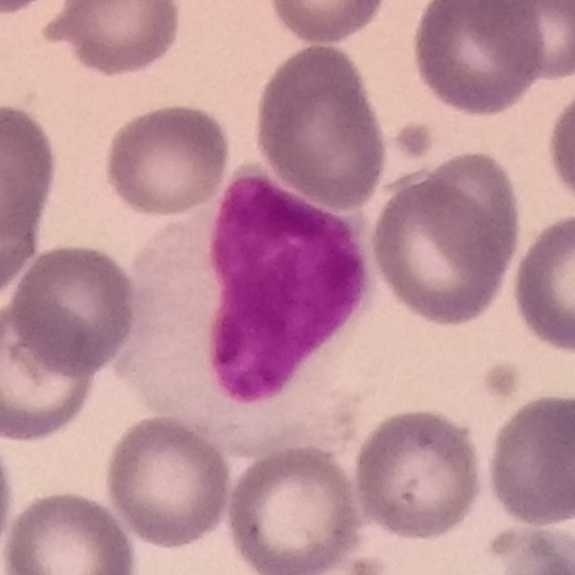Image: Peripheral blood smear.

Classification = lymphocyte.